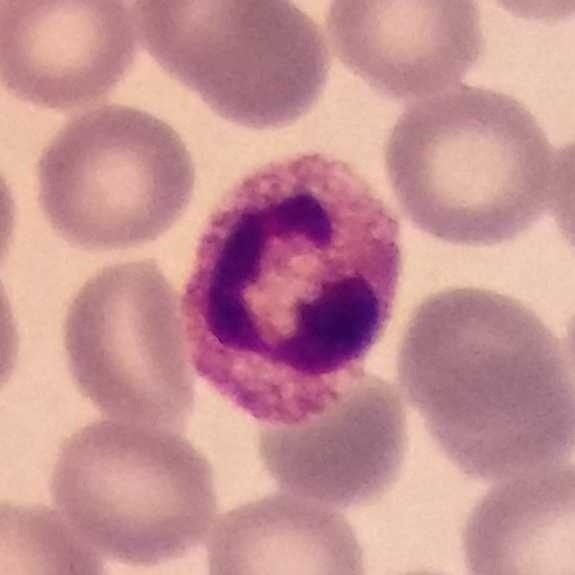

Specimen: peripheral blood film.
Cell: neutrophilic granulocyte. Image: Imaged at 100×.